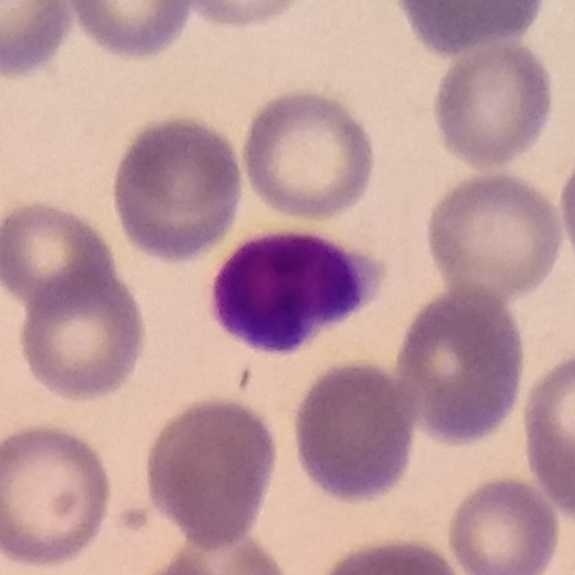Acquisition: Peripheral blood smear.
The cell type is lymphocyte.